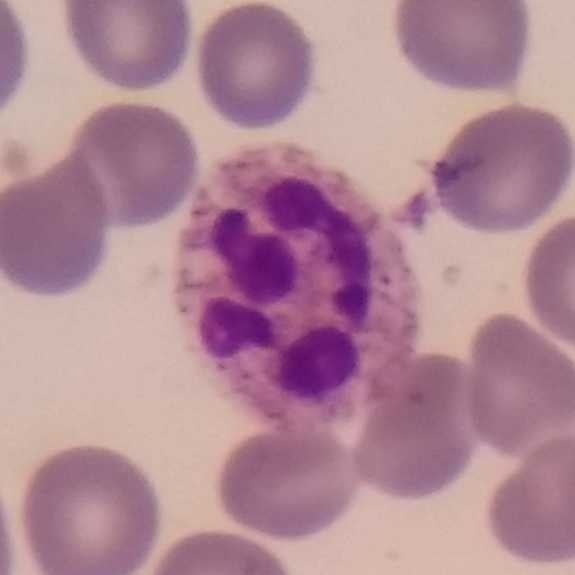Morphological class = neutrophil. Peripheral blood smear.